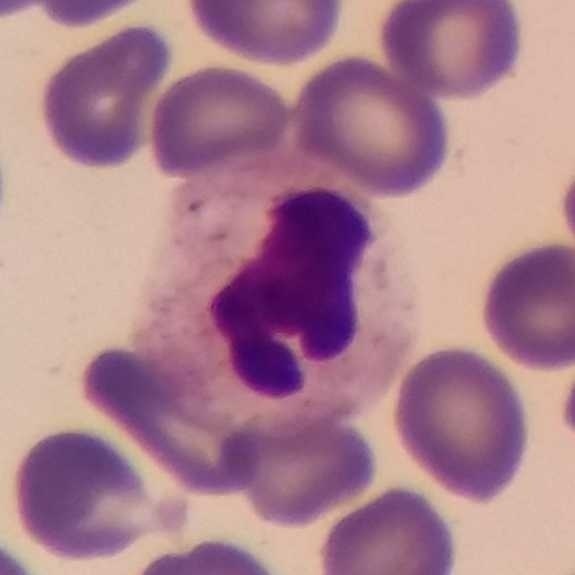

This is a neutrophil.